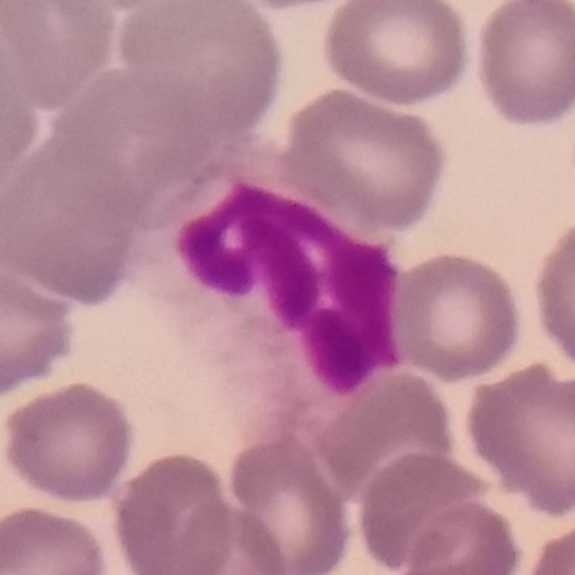Image: Peripheral blood film. A neutrophil granulocyte.